Smartphone photomicrograph; single-cell crop; peripheral blood smear
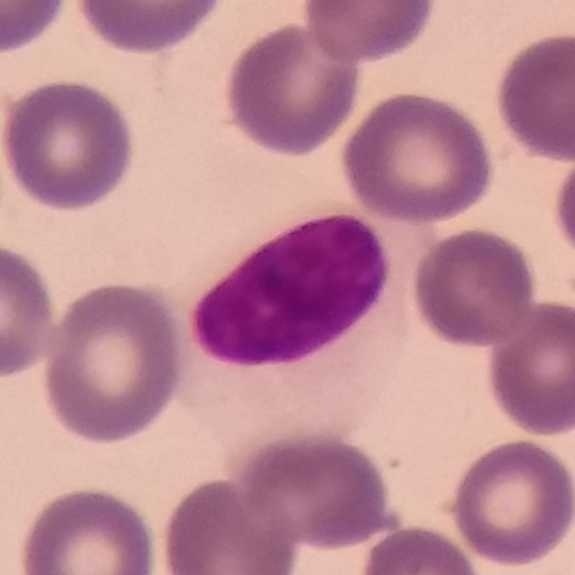

This is a lymphocyte.